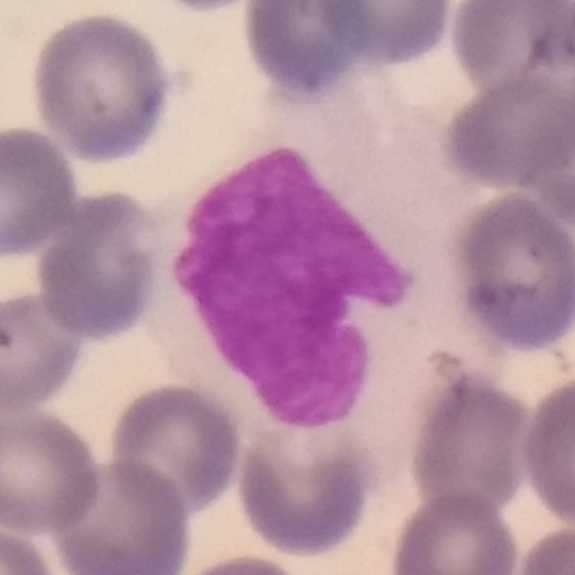

This is a monocyte.